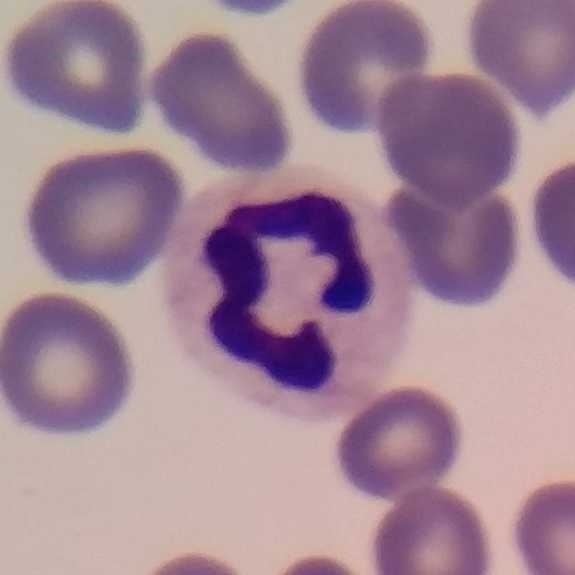
Imaged at 100×. Peripheral blood film. 575×575. Morphology consistent with a neutrophil.